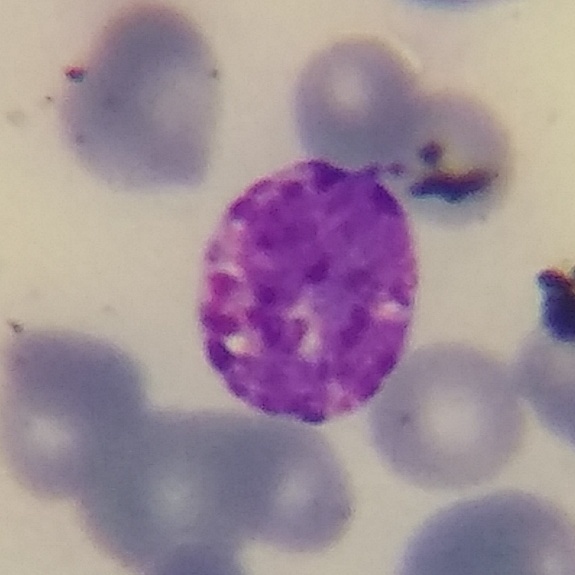 Peripheral blood film.
Morphology — basophilic granulocyte.